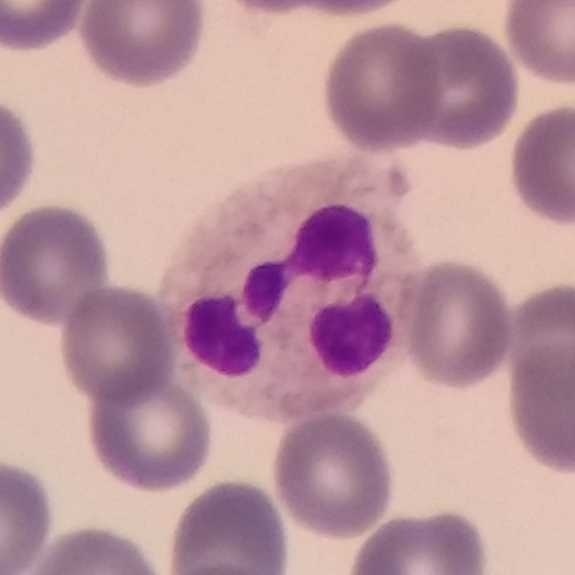

Giemsa stain · peripheral blood film. The white blood cell in this image is a neutrophil granulocyte.